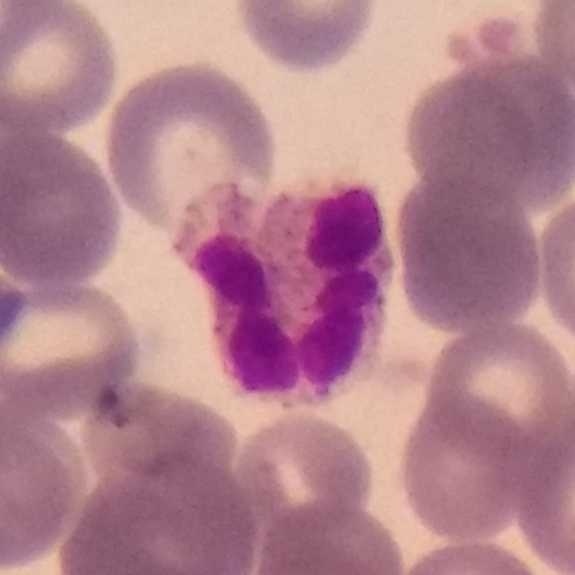Acquisition: 575×575 px. Specimen: peripheral blood film.
Cell type: neutrophilic granulocyte.